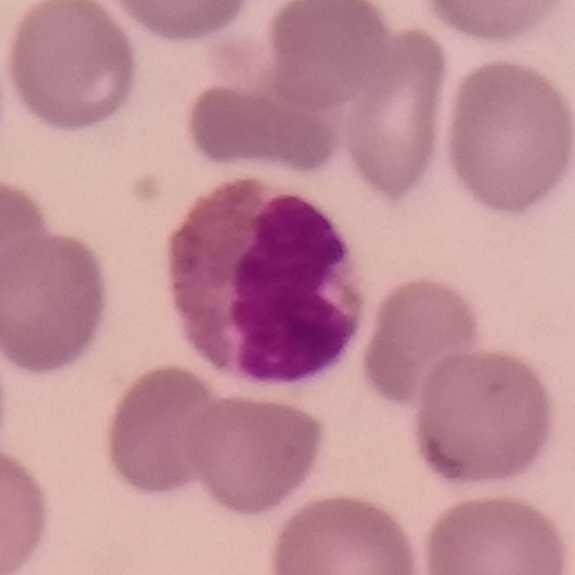
Impression — eosinophil.